Peripheral blood film:
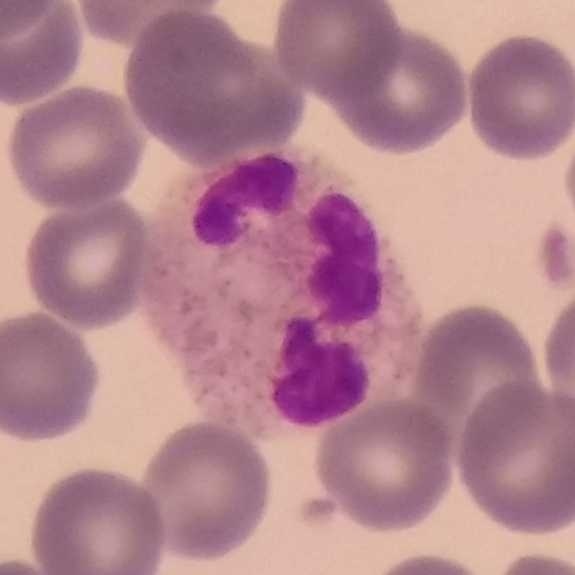

Morphology consistent with a neutrophil granulocyte.